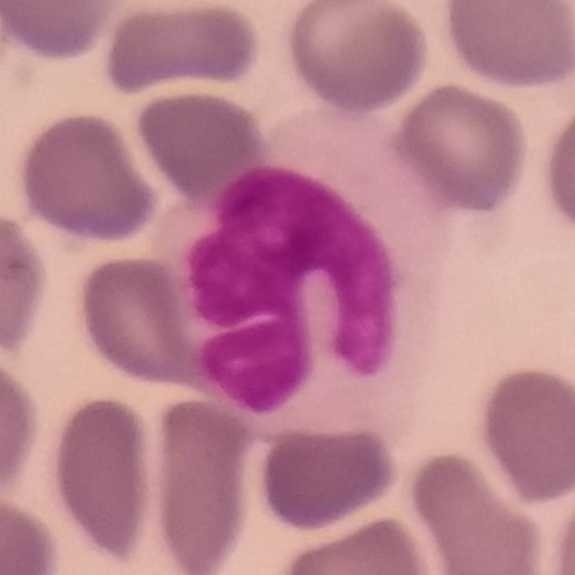
Context: Peripheral blood smear; Giemsa stain; smartphone camera mounted on the microscope eyepiece. Monocyte.